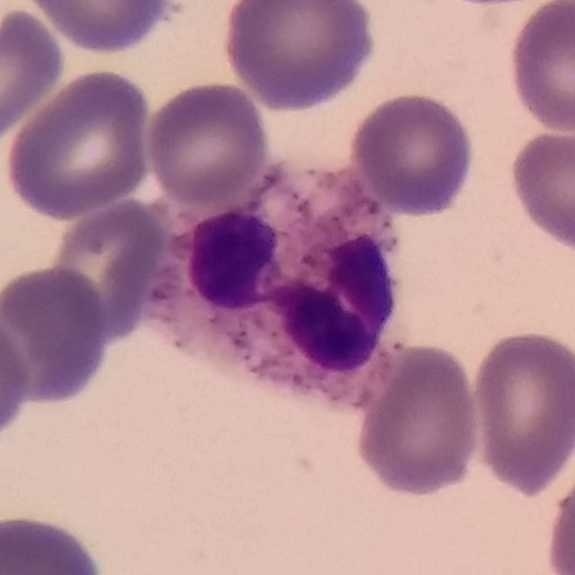
Peripheral blood film. Identified as a neutrophilic granulocyte.